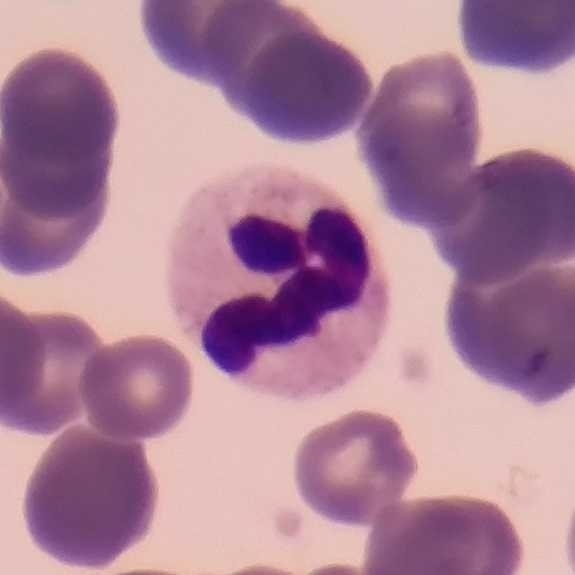Specimen: peripheral blood smear.
Cell type: neutrophilic granulocyte.
Lineage: myeloid. Preparation: Magnification 100×.